Peripheral blood smear:
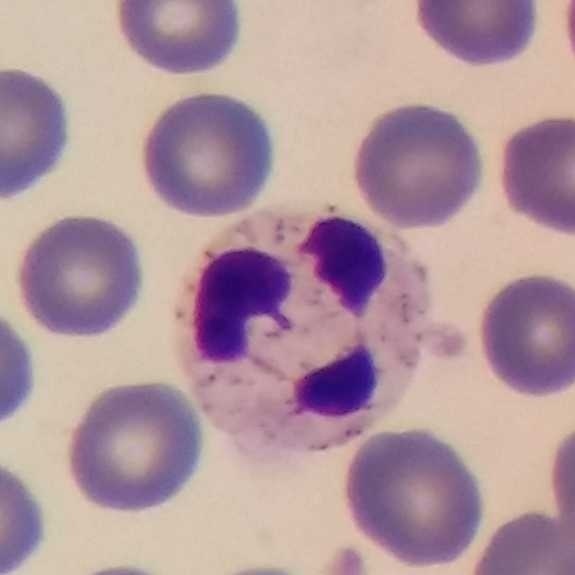

{"cell_type": "neutrophilic granulocyte", "lineage": "myeloid"}